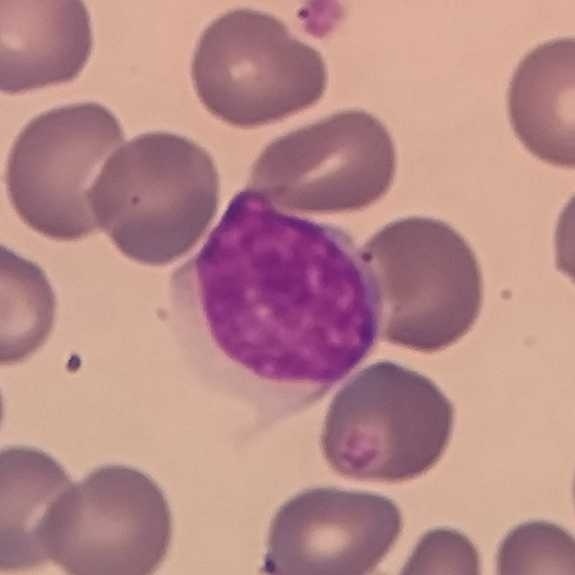
Morphology consistent with a lymphocyte.